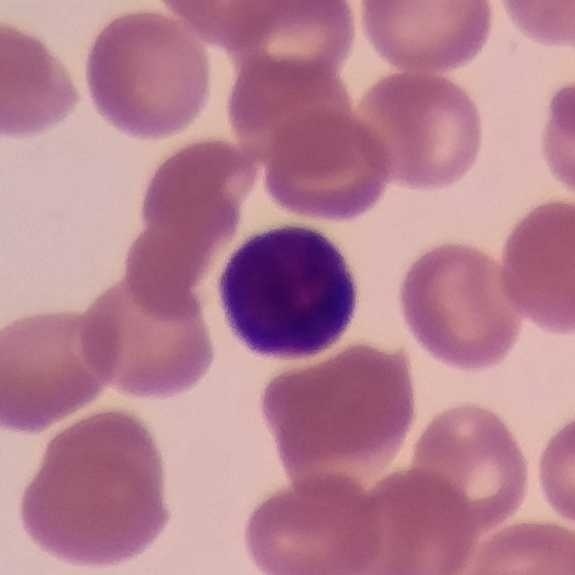Classification = lymphocyte.